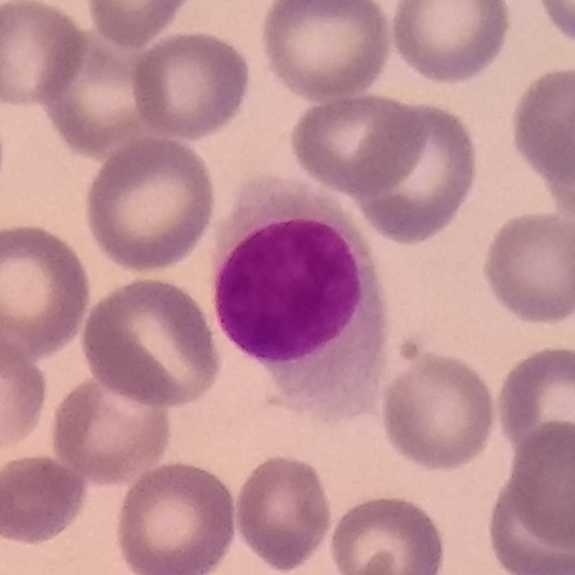

Preparation: Peripheral blood smear. 575×575.
A lymphocyte.